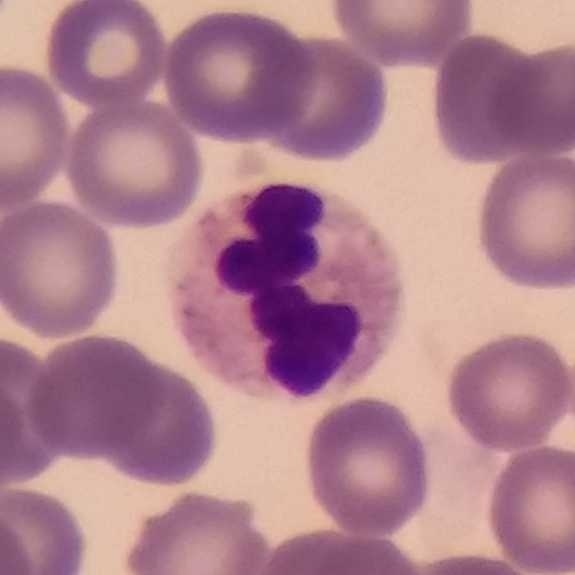 {"cell_type": "neutrophilic granulocyte"} Image: Peripheral blood smear; smartphone camera mounted on the microscope eyepiece; stained with Giemsa.